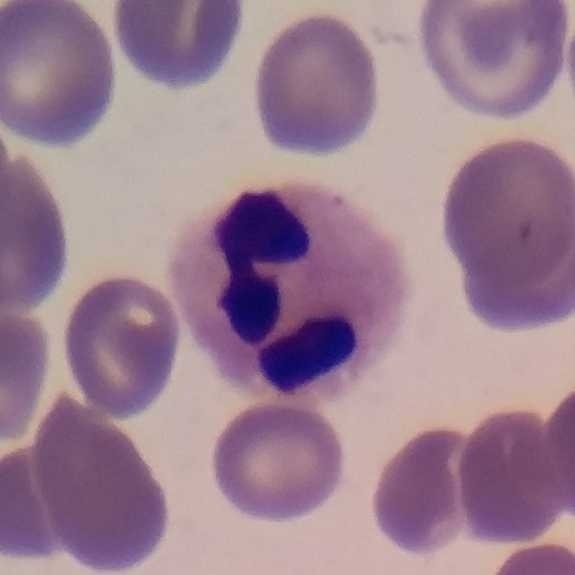

Single-cell crop from a peripheral blood smear: neutrophilic granulocyte.